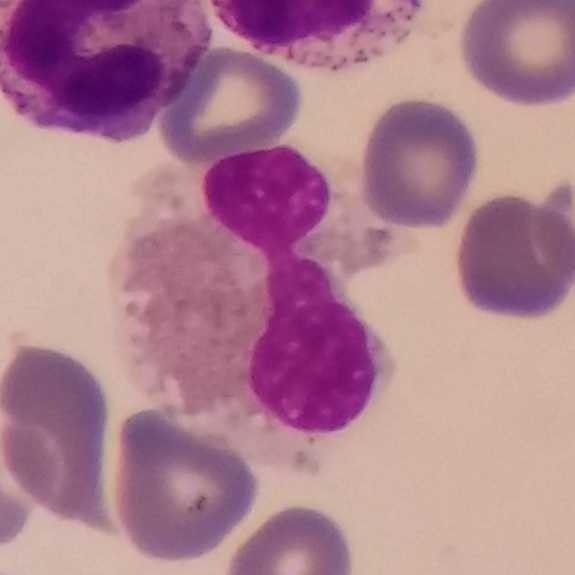 The cell shown is an eosinophilic granulocyte.